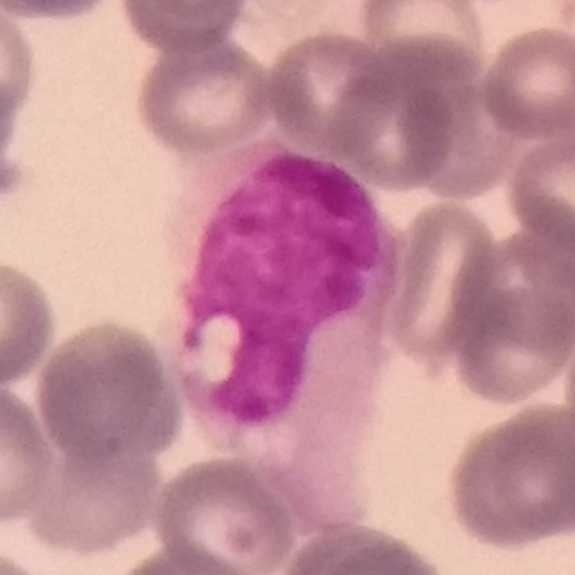

Single cell identified as a monocyte. Image: Peripheral blood smear; smartphone photomicrograph.